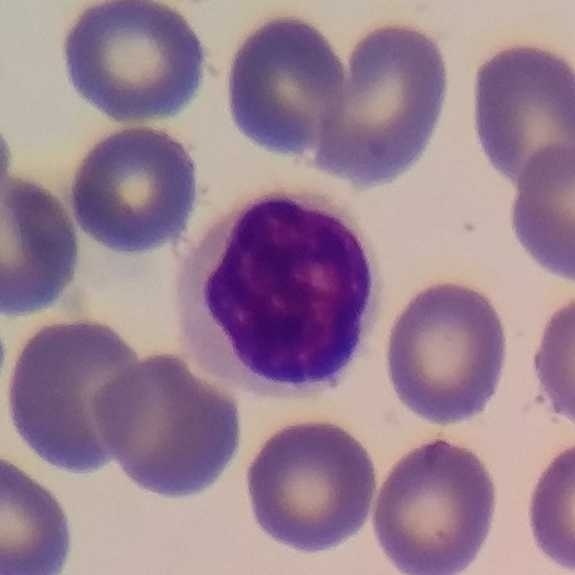 This is a lymphocyte.
Image: 575×575 px. Peripheral blood smear.